Peripheral blood smear. Smartphone camera mounted on the microscope eyepiece. Stained with Giemsa.
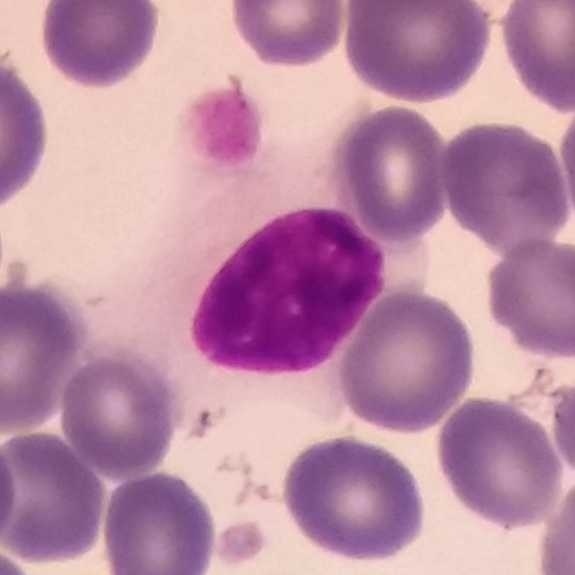

The white blood cell in this image is a lymphocyte.